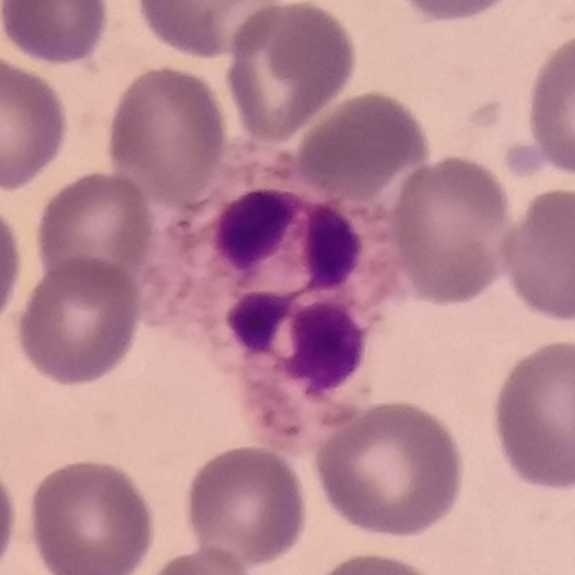
The white blood cell type is neutrophil granulocyte.